Peripheral blood smear: 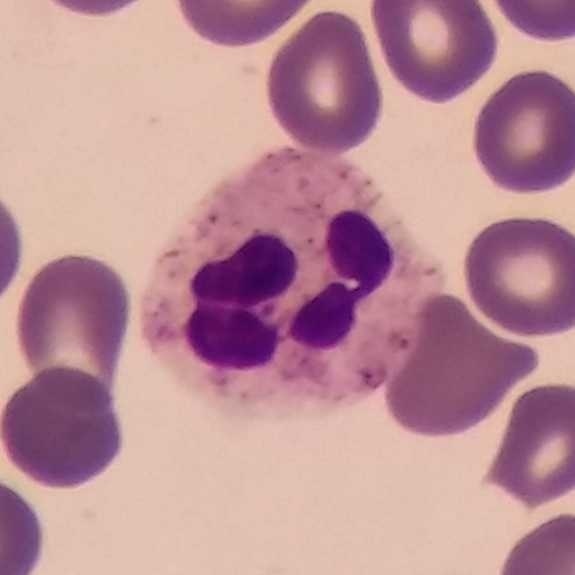Q: Which type of white blood cell is this?
A: It is a neutrophilic granulocyte.